Photographed through a light microscope with a smartphone camera · peripheral blood smear — 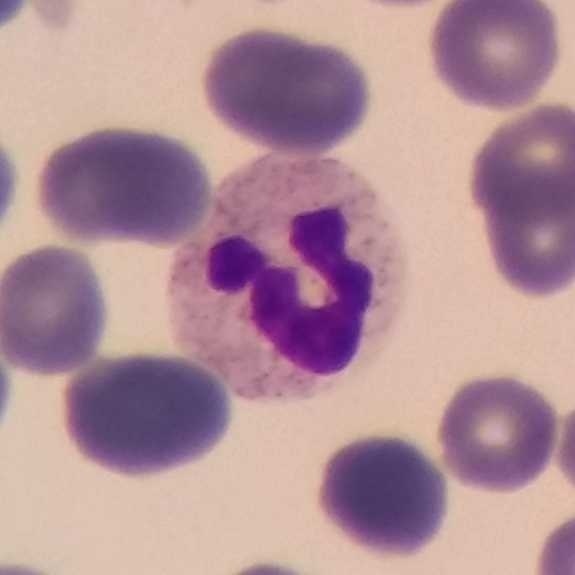

Q: Identify the cell.
A: It is a neutrophilic granulocyte.